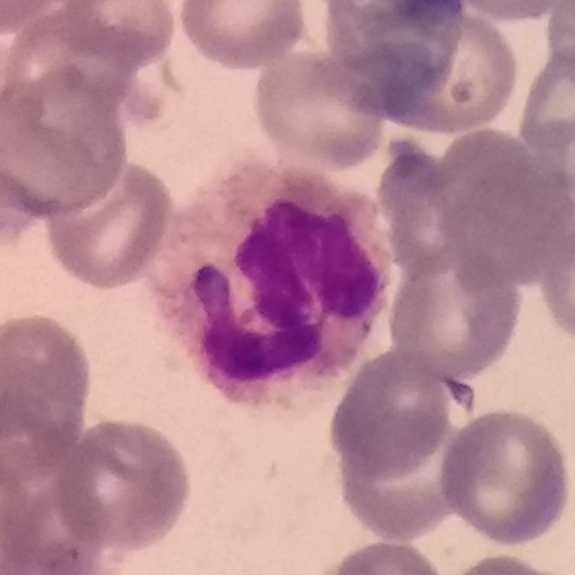 The white blood cell type is neutrophil. Acquisition: Peripheral blood smear; imaged at 100×.